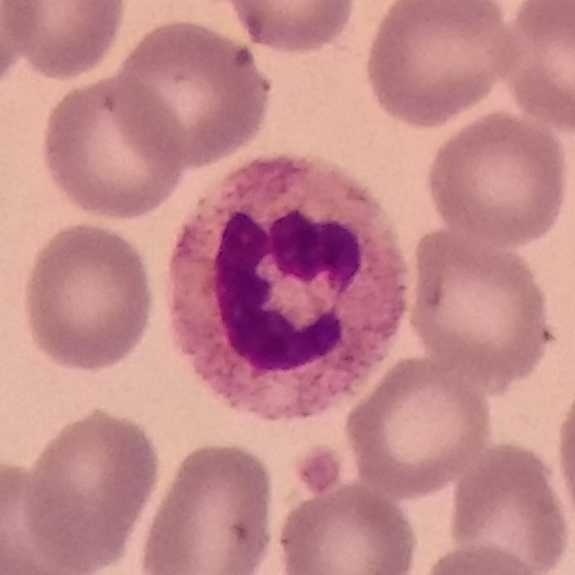Morphology → neutrophil granulocyte.